Peripheral blood film.
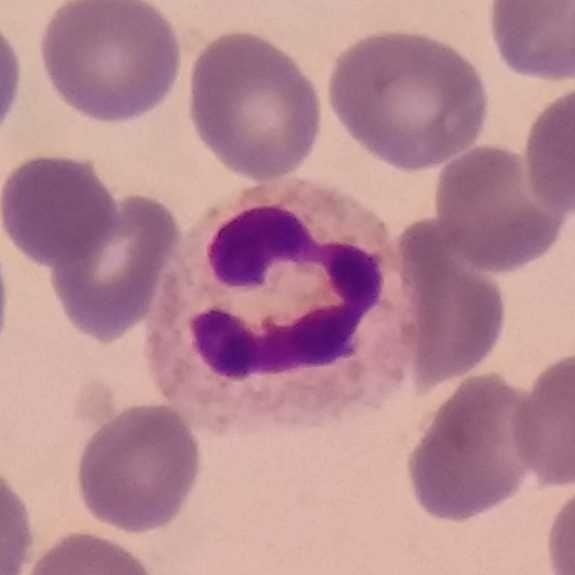

Morphological class: neutrophil.